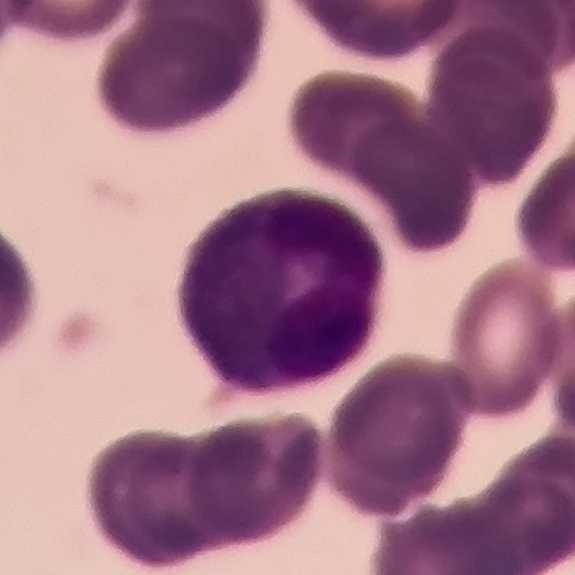

The white blood cell in this image is an eosinophil. Preparation: Peripheral blood smear.